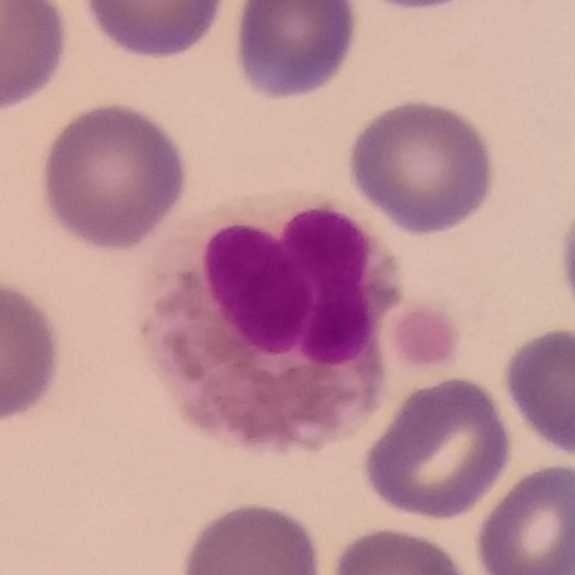An eosinophilic granulocyte on a peripheral blood smear.